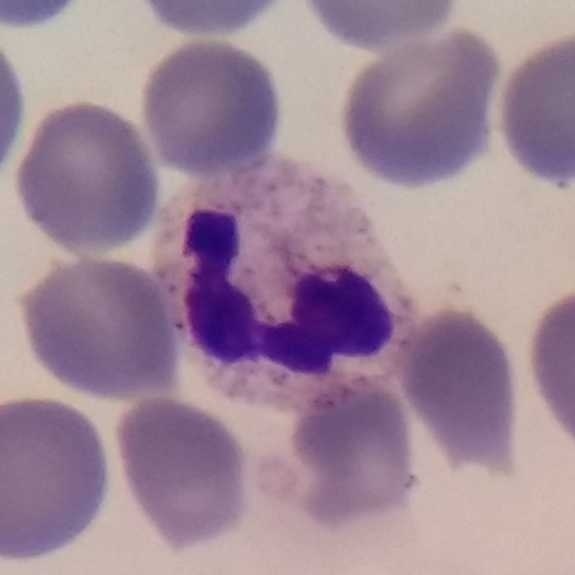
Peripheral blood film.
The classification is neutrophil.